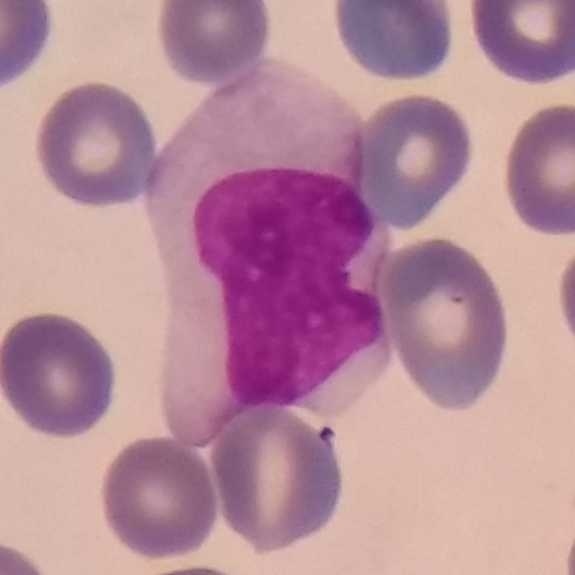Q: Identify the cell.
A: It is a monocyte.
Peripheral blood smear.